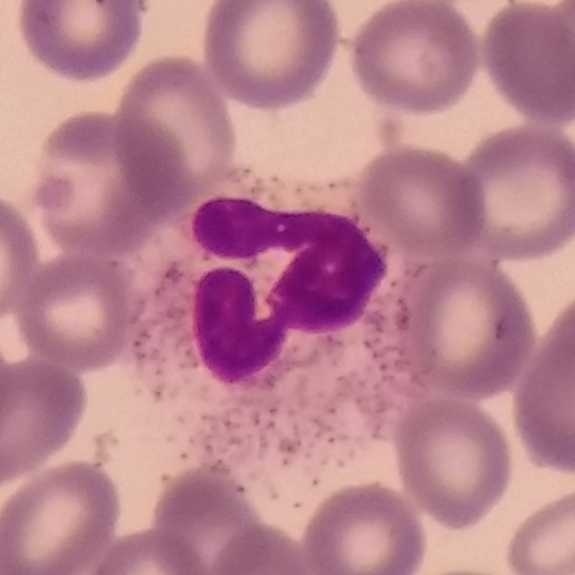
The cell is neutrophil granulocyte.

Image: Peripheral blood smear.